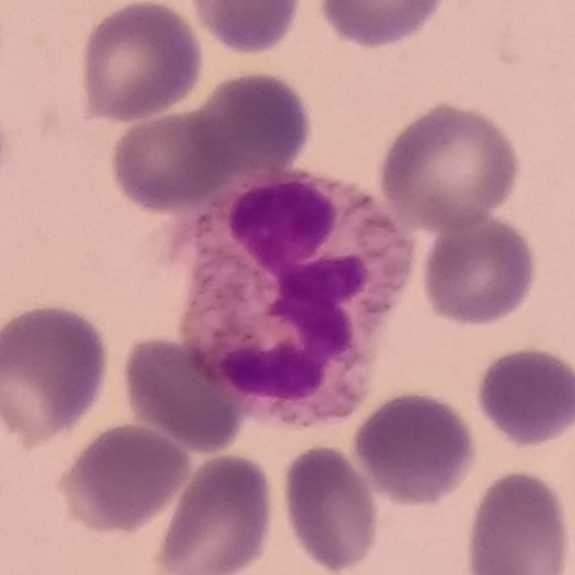
The white blood cell in this image is a neutrophil granulocyte.